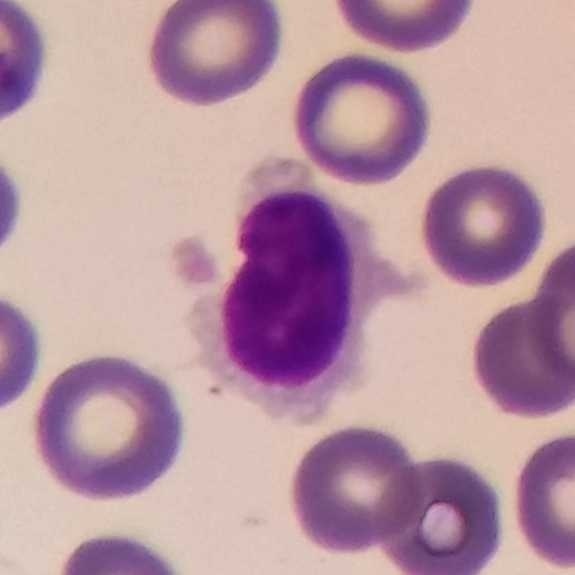Preparation: Peripheral blood film. 575×575. Single cell identified as a lymphocyte.